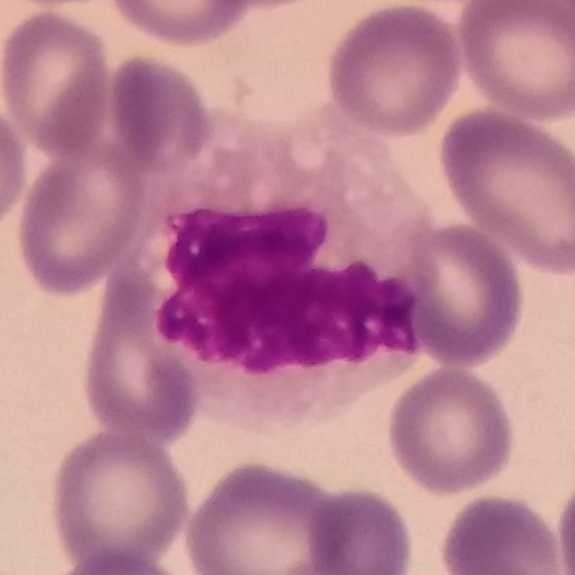

Context: Peripheral blood film; imaged at 100×. Identified as a monocyte.